Peripheral blood smear:
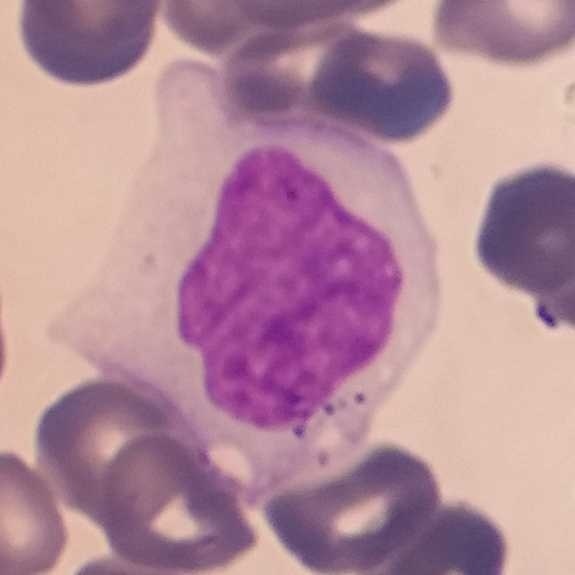

Morphology → monocyte.